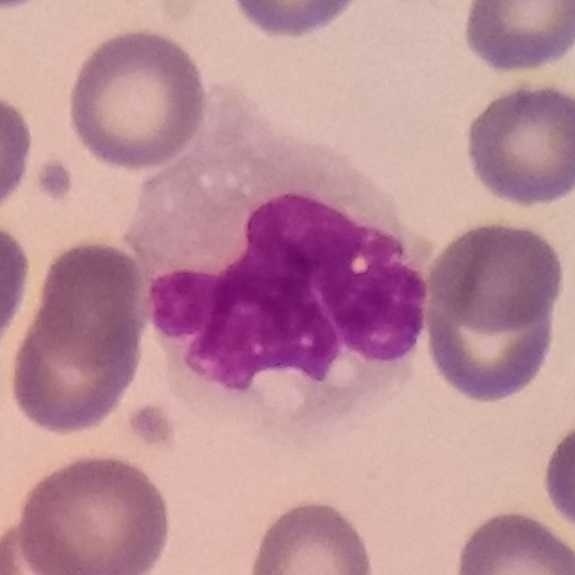 {"cell_type": "monocyte", "lineage": "myeloid"}

Context: Peripheral blood film.